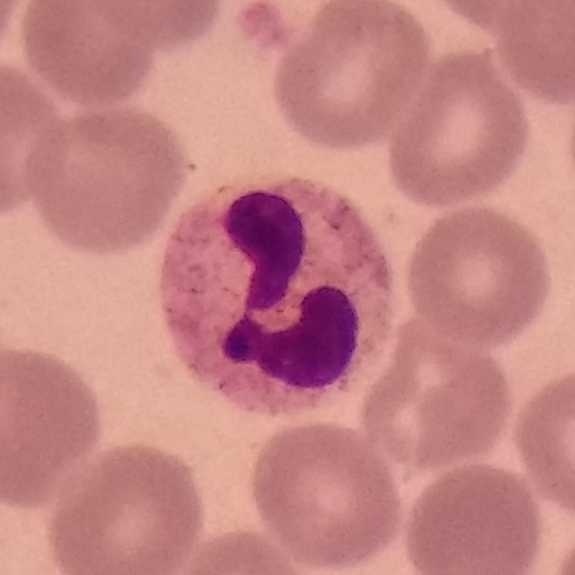
Single cell identified as a neutrophil granulocyte. Acquisition: Peripheral blood film; Giemsa stain; smartphone photomicrograph.